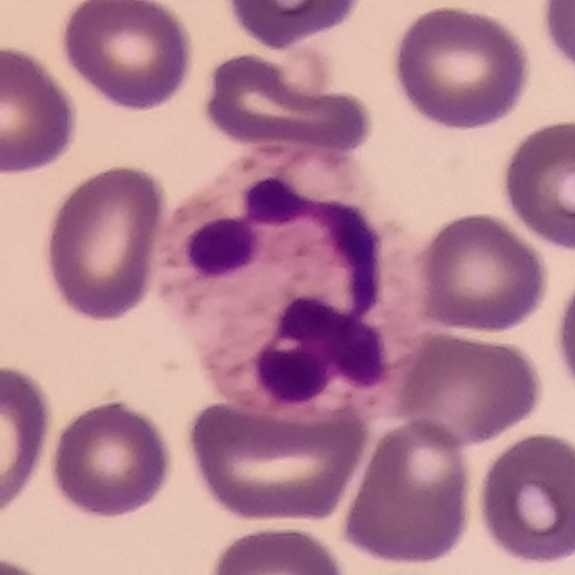
Neutrophil. Peripheral blood film.